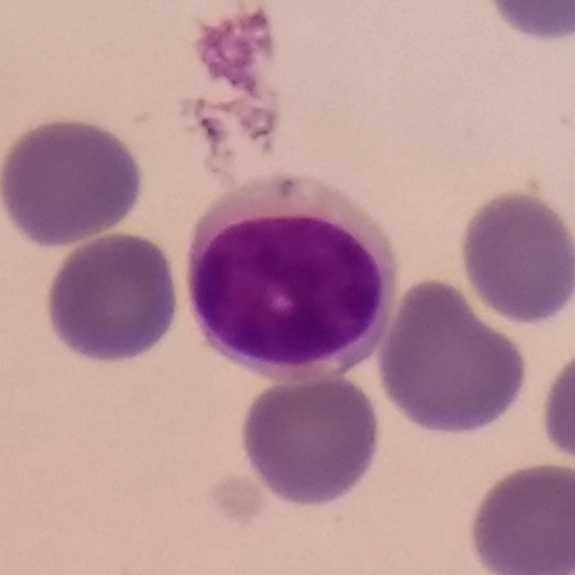 Morphological class — lymphocyte.